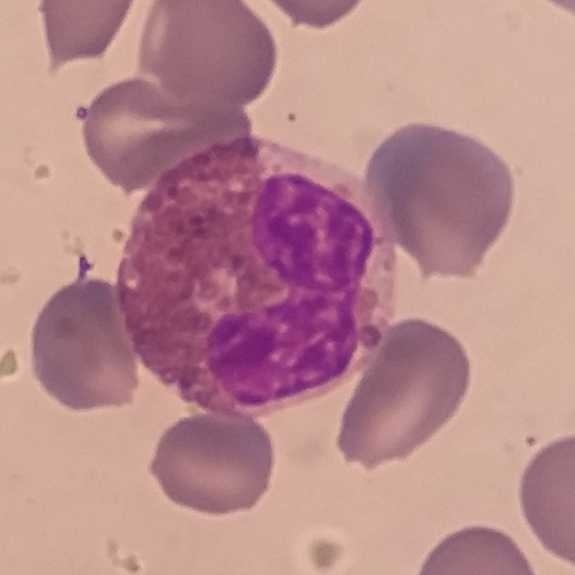
Specimen: peripheral blood smear.
White blood cell type: eosinophilic granulocyte.
Lineage: myeloid.